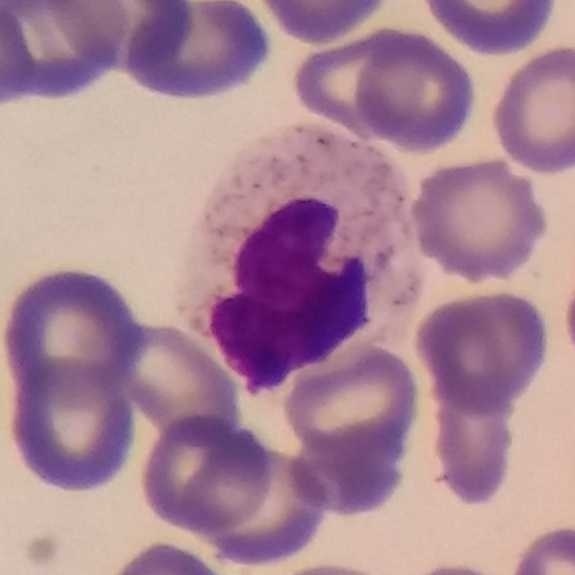

Context: Peripheral blood smear.

Classification: neutrophil granulocyte.